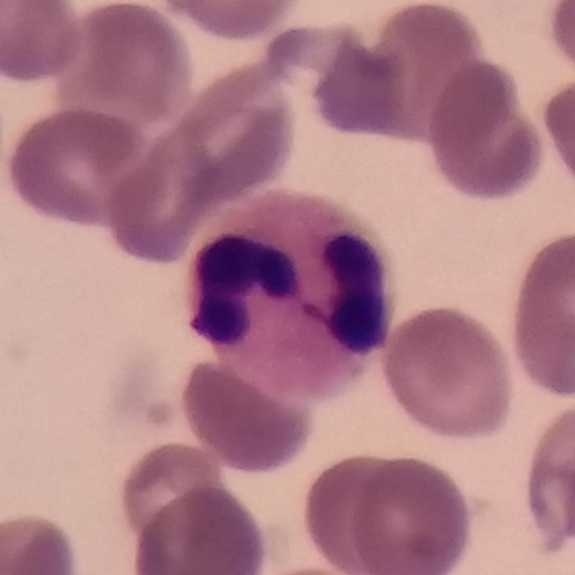

Specimen: peripheral blood film.
Cell type: neutrophilic granulocyte.
Lineage: myeloid.